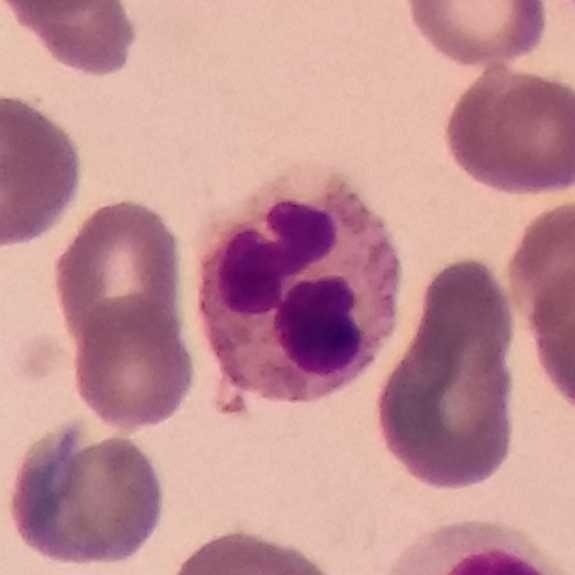White blood cell from a peripheral blood smear: neutrophilic granulocyte.